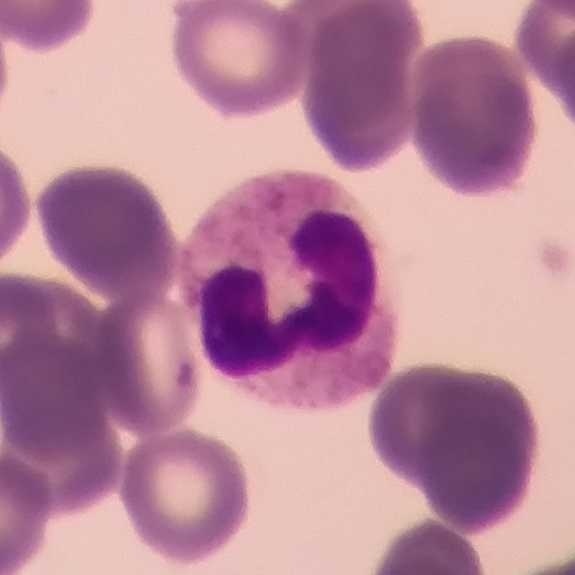 Image: Photographed through a light microscope with a smartphone camera; peripheral blood smear; single white blood cell cropped from the smear photograph. Cell: neutrophil granulocyte.